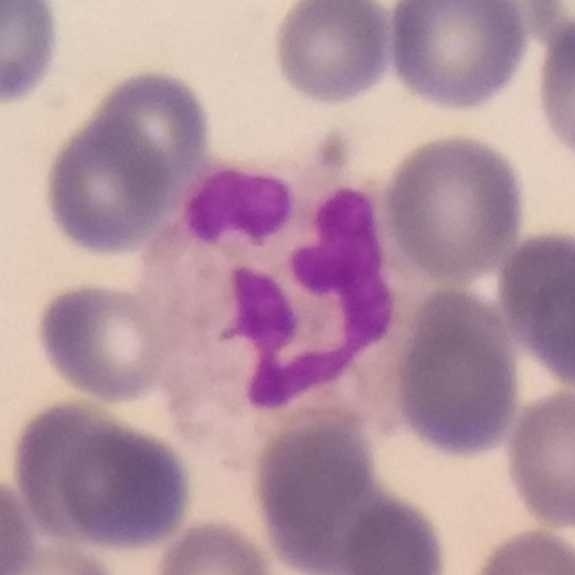 Cell — neutrophil granulocyte.

Peripheral blood smear. 575 by 575 pixels.